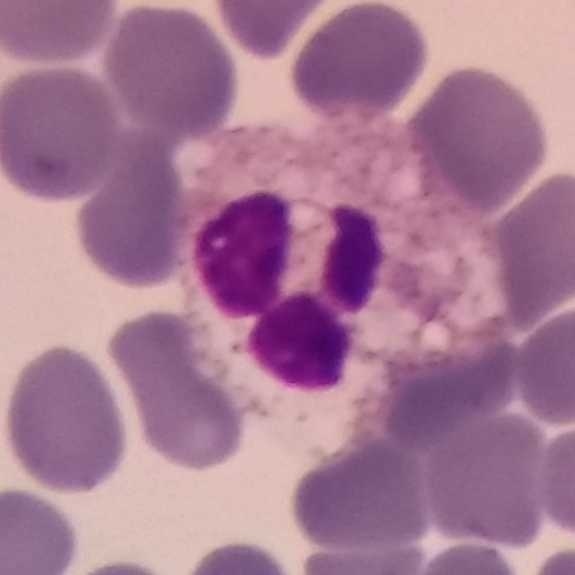Peripheral blood smear. Magnification 100×. A neutrophil granulocyte.